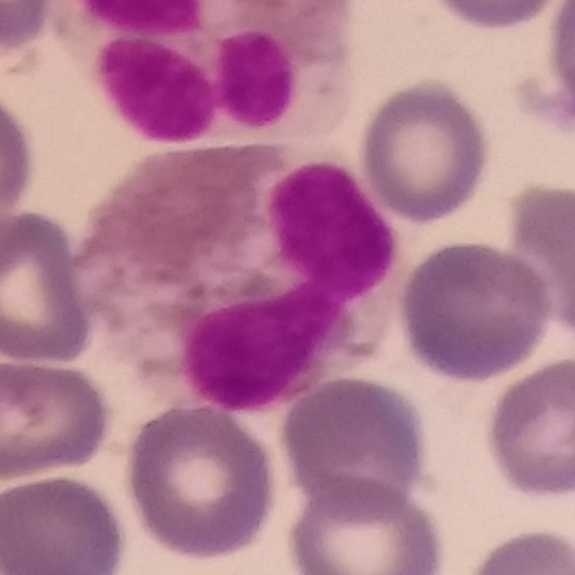

Q: Which type of white blood cell is this?
A: This is an eosinophilic granulocyte.
Peripheral blood film. Giemsa-stained. Cropped to one leukocyte.